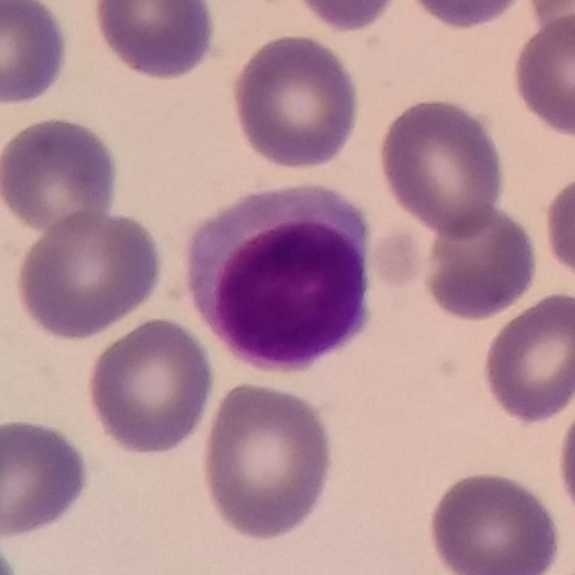 Peripheral blood smear showing a lymphocyte.